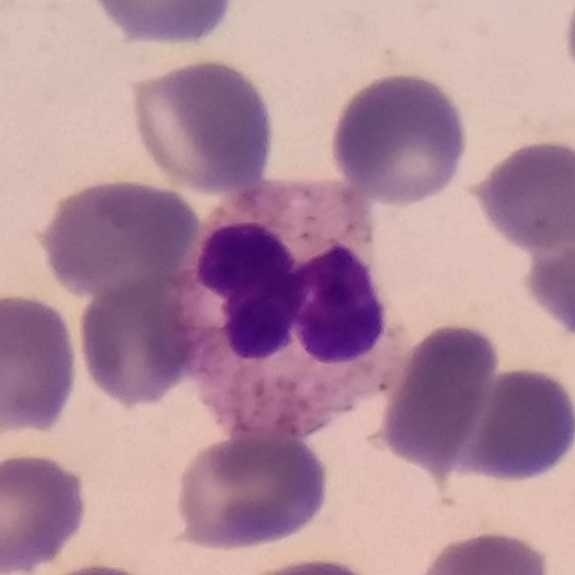Classification = neutrophil granulocyte.

Preparation: Peripheral blood film.